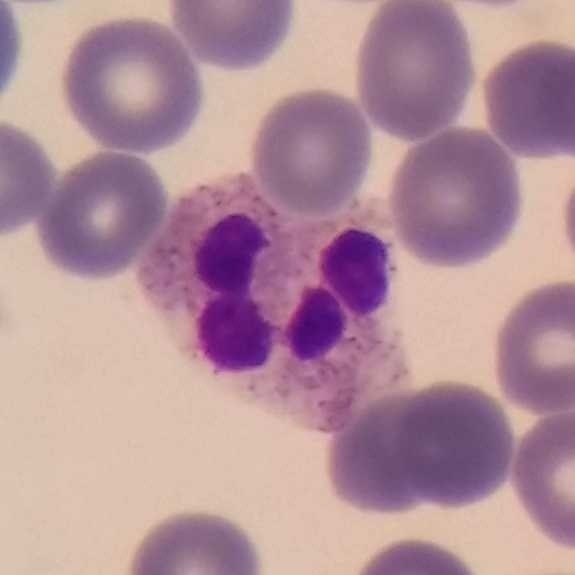

Cell type — neutrophil.